Smartphone photomicrograph. Imaged at 100×. Peripheral blood smear — 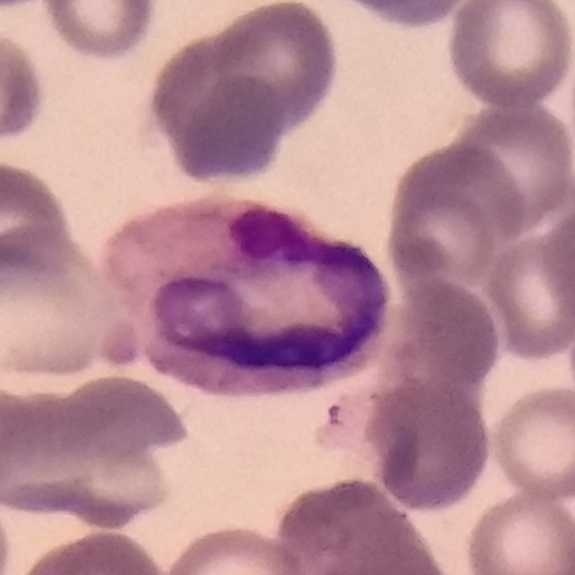
The cell shown is a neutrophil granulocyte.